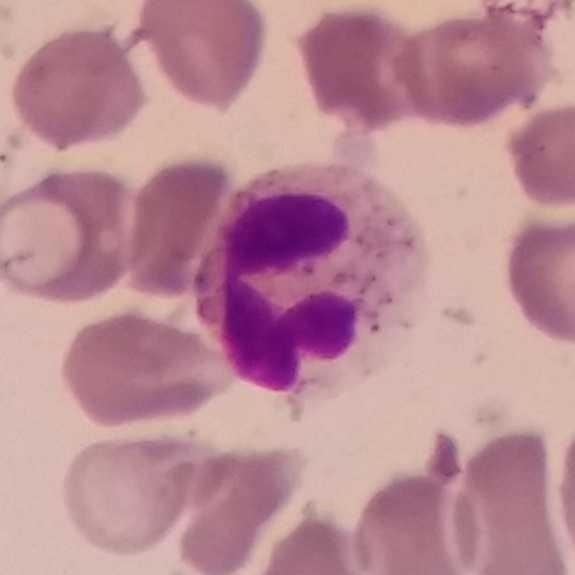Peripheral blood smear.

{"cell_type": "neutrophilic granulocyte", "lineage": "myeloid"}